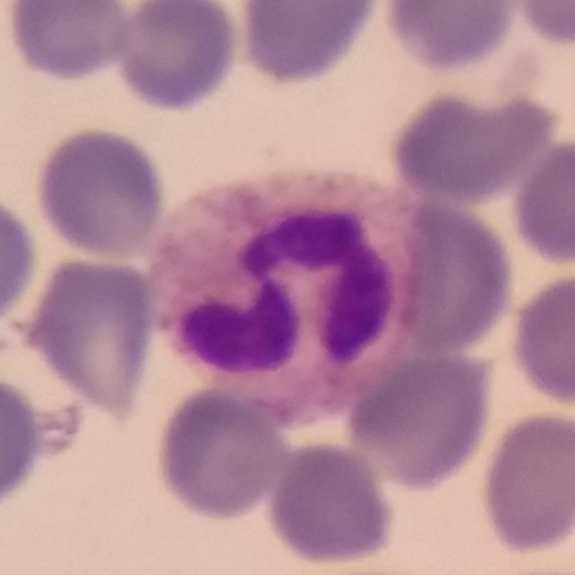

Peripheral blood smear. Cell: neutrophil.